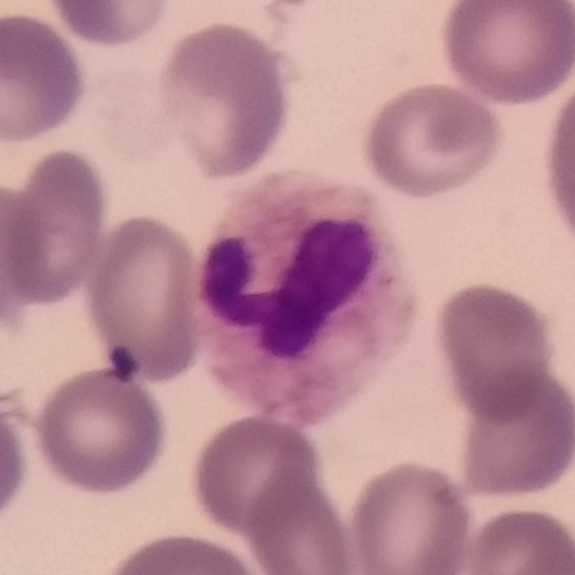
Context: Peripheral blood smear. Image size 575×575. Magnification 100×.
This is a neutrophil granulocyte.